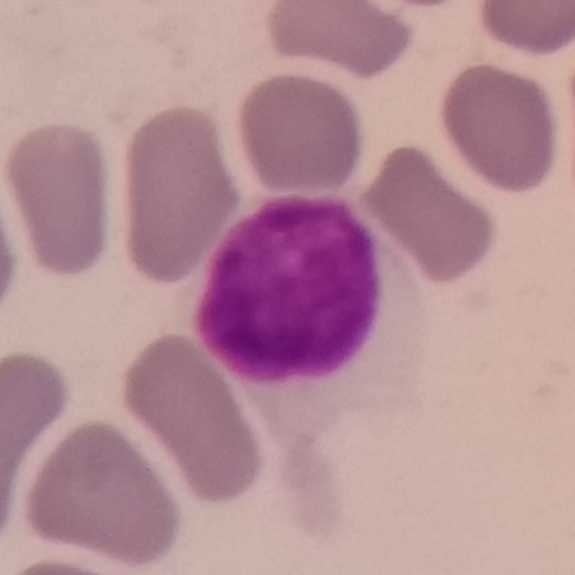 The cell shown is a lymphocyte.

Acquisition: Peripheral blood film · single-cell field.